Giemsa stain · peripheral blood smear
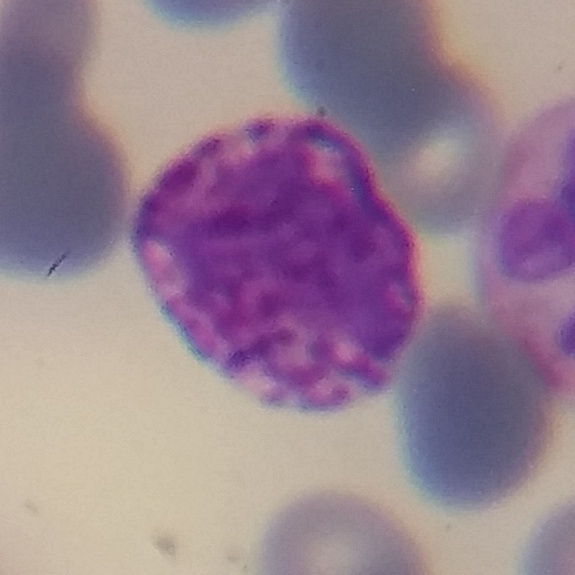Showing a basophil.